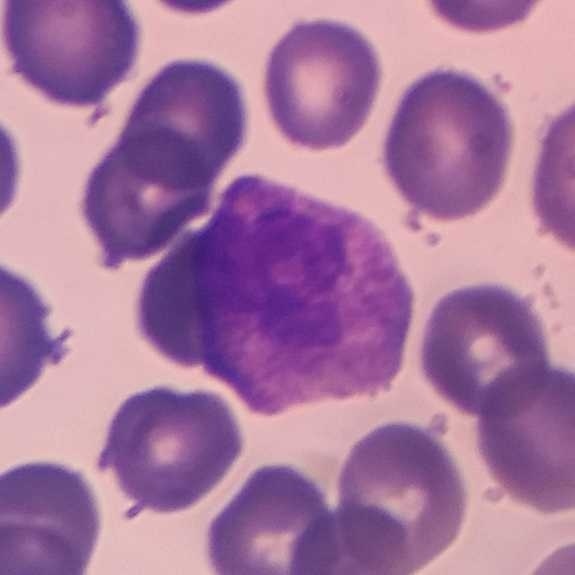

Peripheral blood smear. Single-cell field.

The cell shown is a neutrophil.